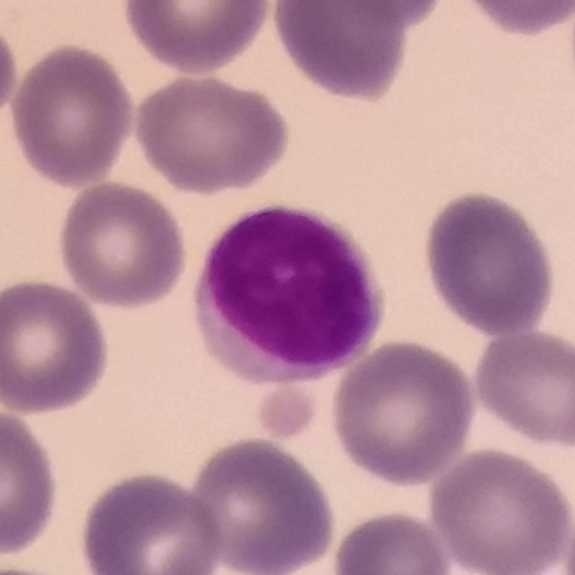The cell shown is a lymphocyte.